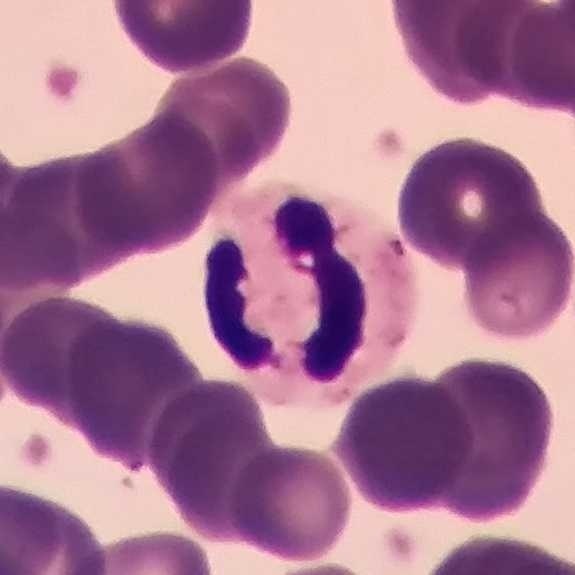 Acquisition: Peripheral blood smear. Q: Which type of white blood cell is this?
A: It is a neutrophil granulocyte.